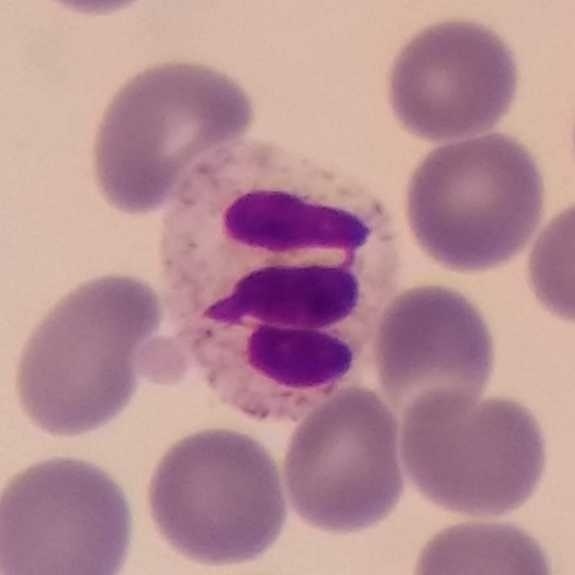

Cell type = neutrophilic granulocyte.